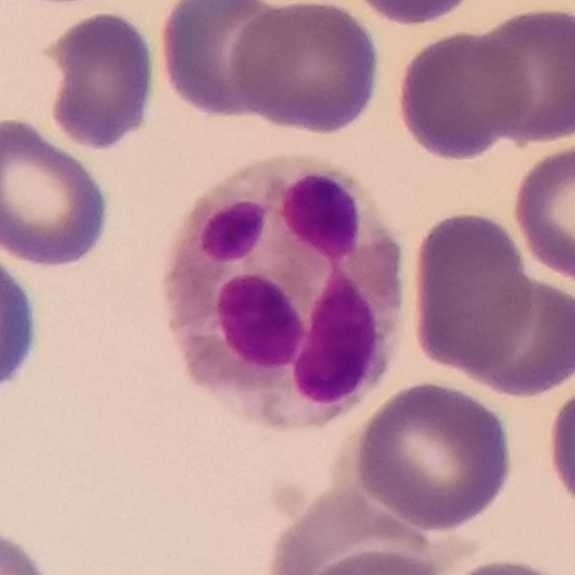 Photographed through a light microscope with a smartphone camera. Peripheral blood smear. Morphology consistent with an eosinophil.